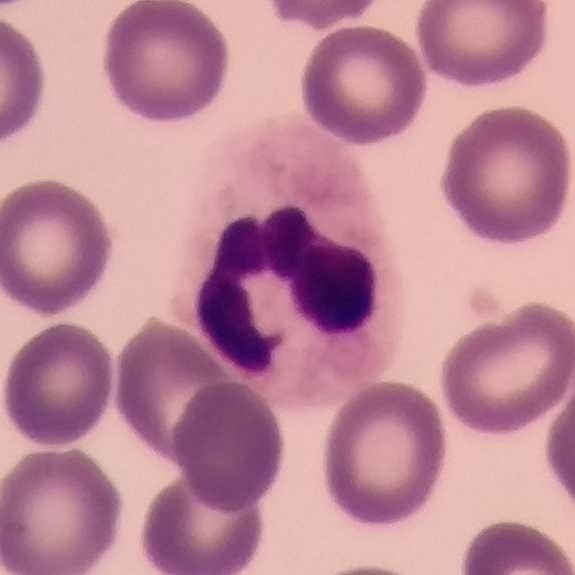 Morphology — neutrophil.
Preparation: Cropped to one leukocyte; peripheral blood smear.